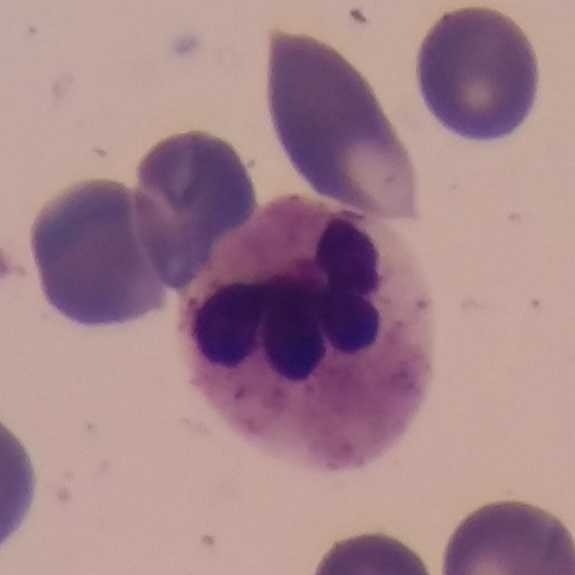

{"cell_type": "neutrophil", "lineage": "myeloid"}